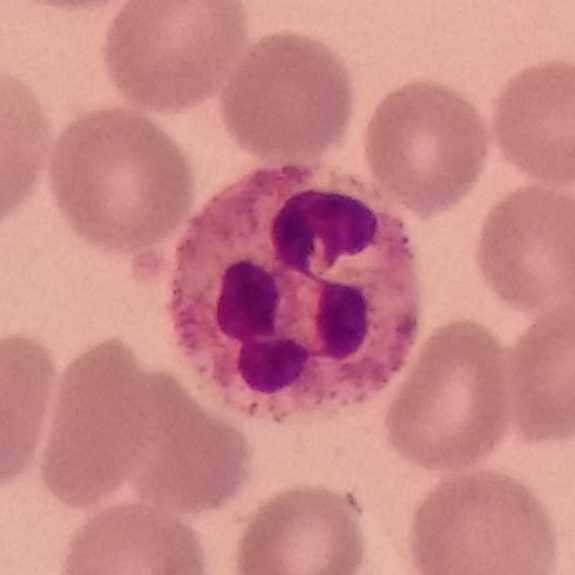
Morphological class — neutrophilic granulocyte.

Preparation: Peripheral blood smear.